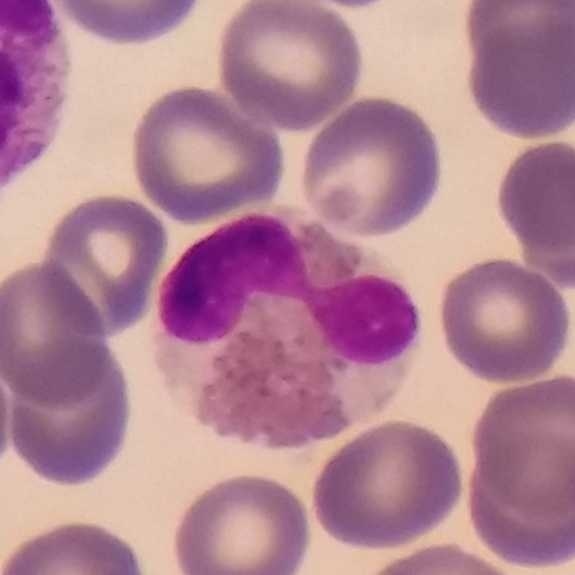 Image: Peripheral blood smear; 575 by 575 pixels. {"cell_type": "eosinophil", "lineage": "myeloid"}